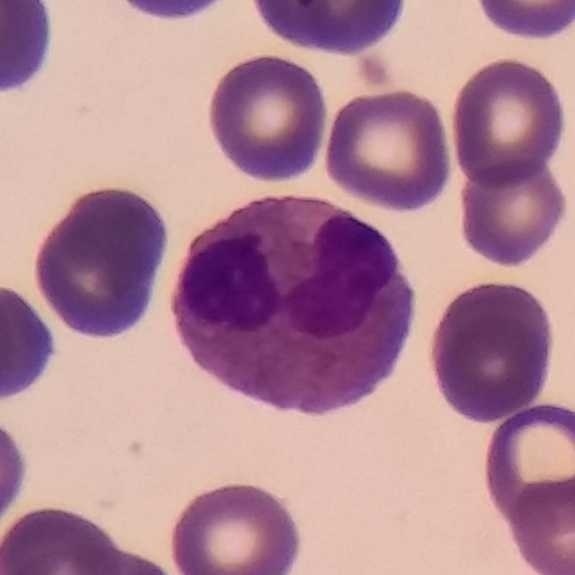
Morphology — eosinophilic granulocyte. Giemsa-stained; photographed through a light microscope with a smartphone camera; peripheral blood smear.